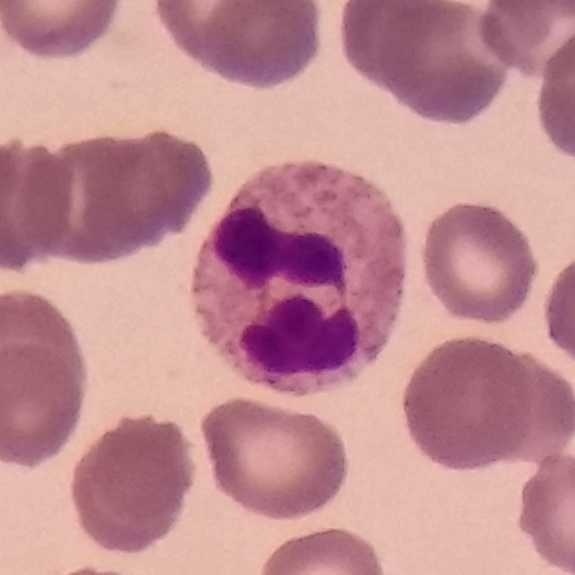 Identified as a neutrophilic granulocyte.
Context: Peripheral blood smear.